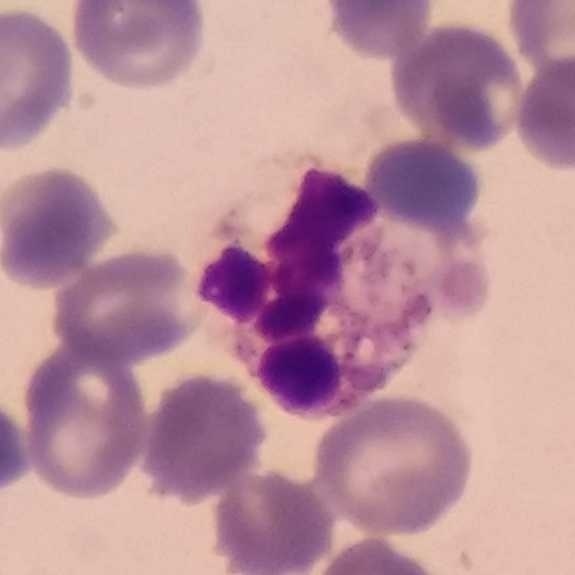100× magnification.
Specimen: peripheral blood film.
Cell type: neutrophil.